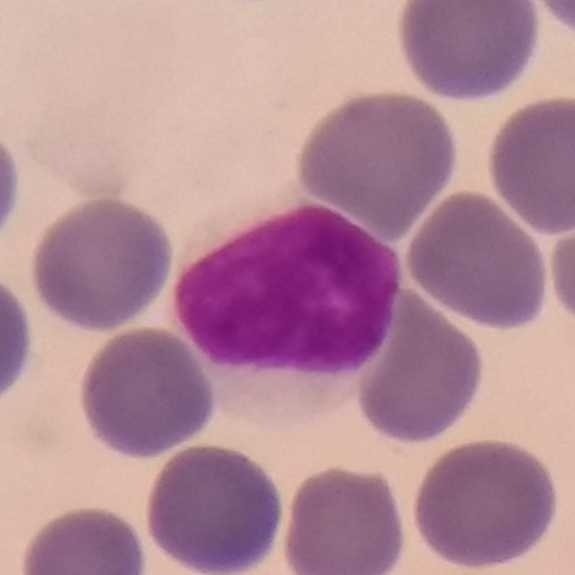

This is a lymphocyte.
Context: Single-cell crop. Smartphone camera mounted on the microscope eyepiece. Peripheral blood film.